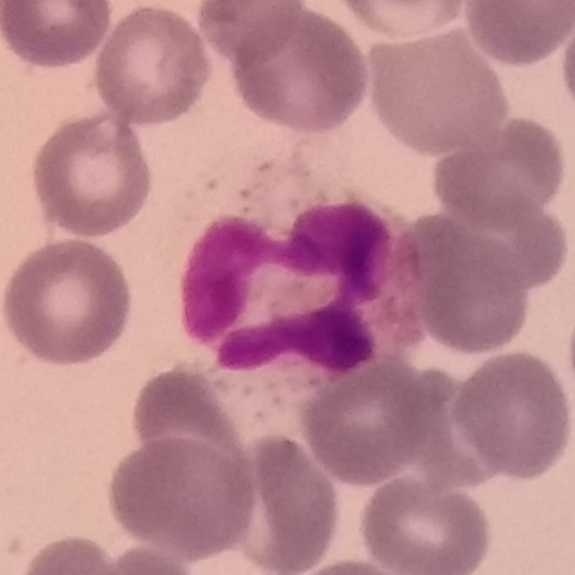

Q: Identify the cell.
A: It is a neutrophil granulocyte.